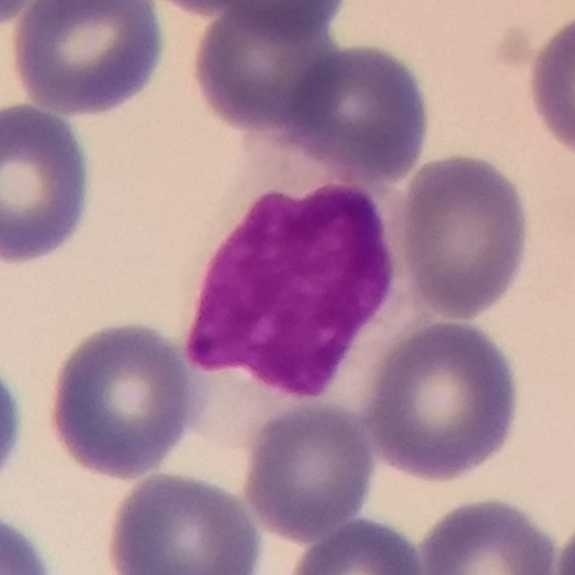

A lymphocyte.

Preparation: Smartphone camera mounted on the microscope eyepiece. 575×575. Peripheral blood film.